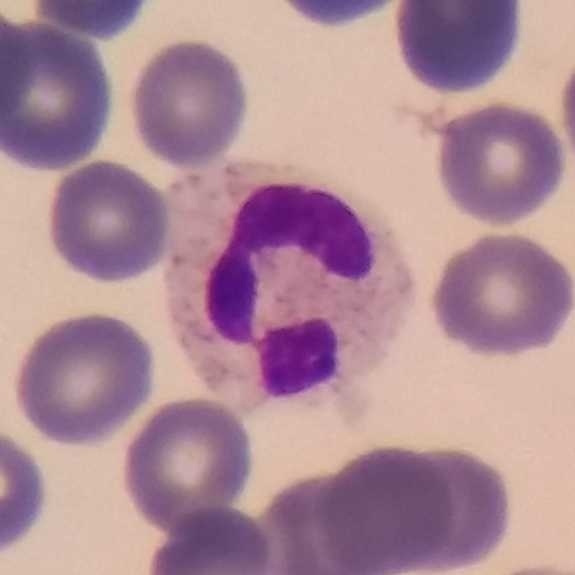White blood cell type — neutrophil granulocyte.

Peripheral blood film · single-cell field.